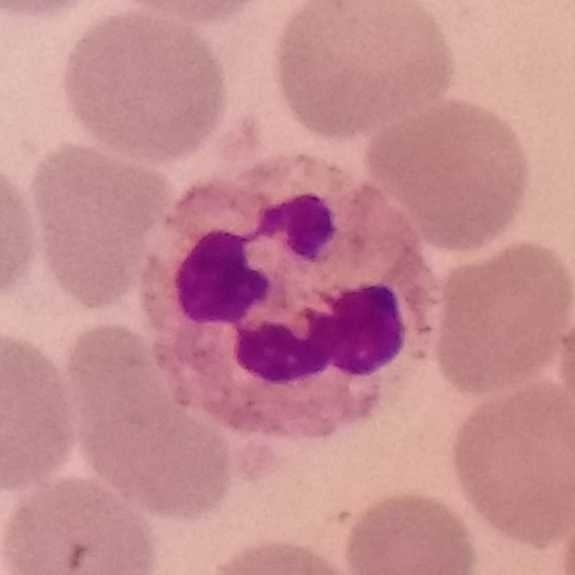
Peripheral blood film. Impression — neutrophil granulocyte.